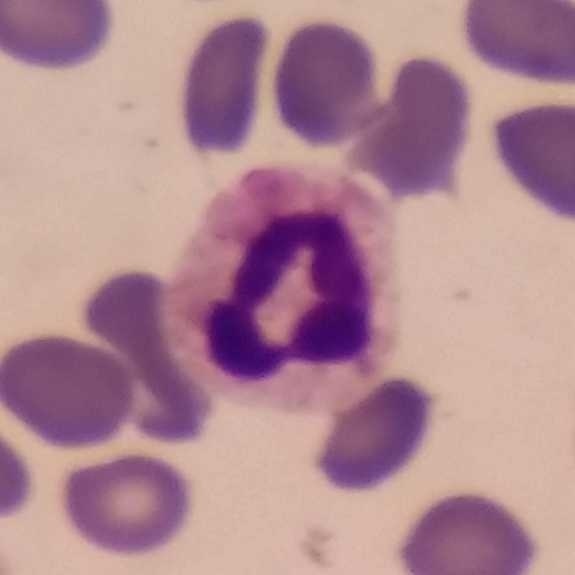

Morphological class — neutrophil granulocyte.